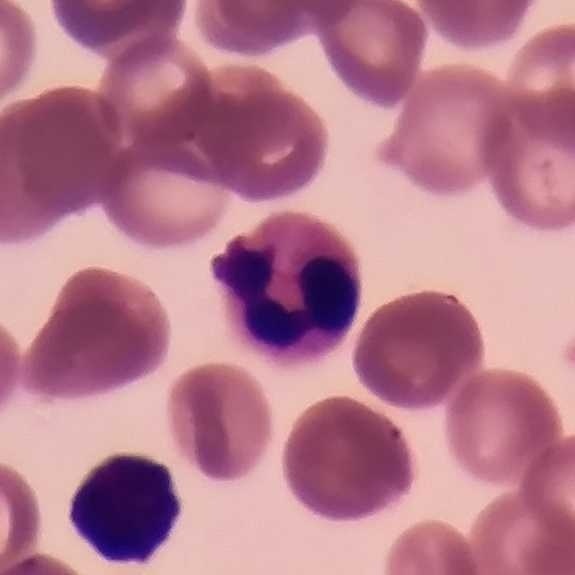
{"cell_type": "neutrophilic granulocyte", "lineage": "myeloid"}
Giemsa-stained; peripheral blood film; 100× magnification.